Peripheral blood film. Smartphone camera mounted on the microscope eyepiece. 575×575
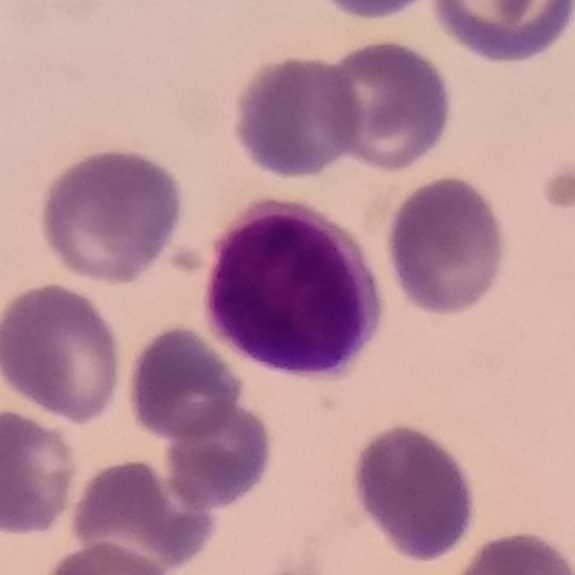 Identified as a lymphocyte.